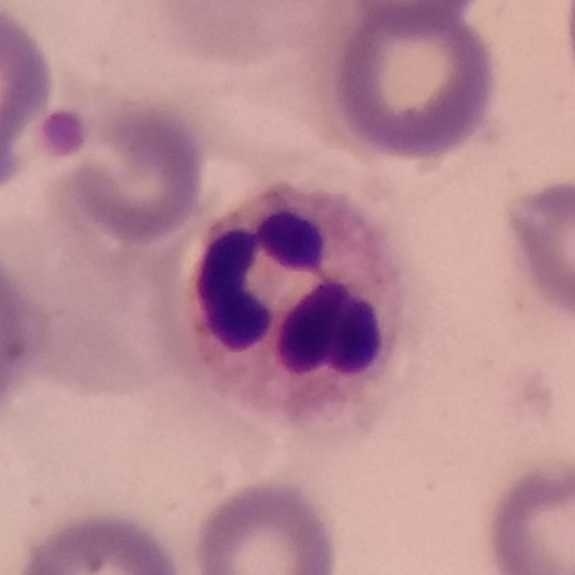 Impression → neutrophilic granulocyte. Acquisition: Smartphone camera mounted on the microscope eyepiece. Peripheral blood smear.